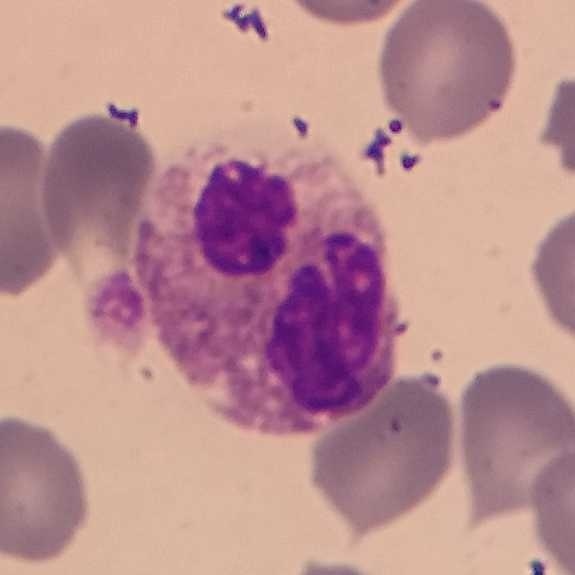
Impression → neutrophil.

Preparation: Giemsa stain · peripheral blood smear.